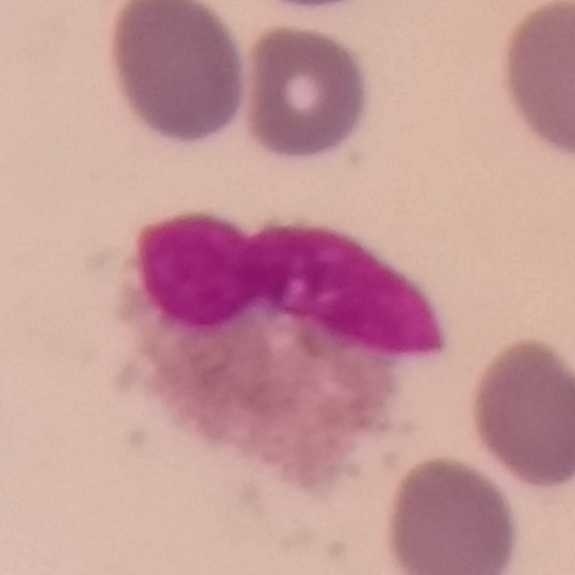Peripheral blood smear.
Morphology consistent with an eosinophilic granulocyte.